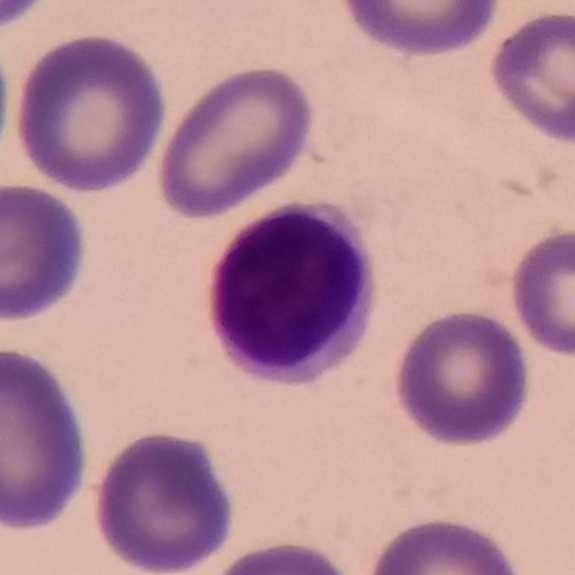
Morphology — lymphocyte.